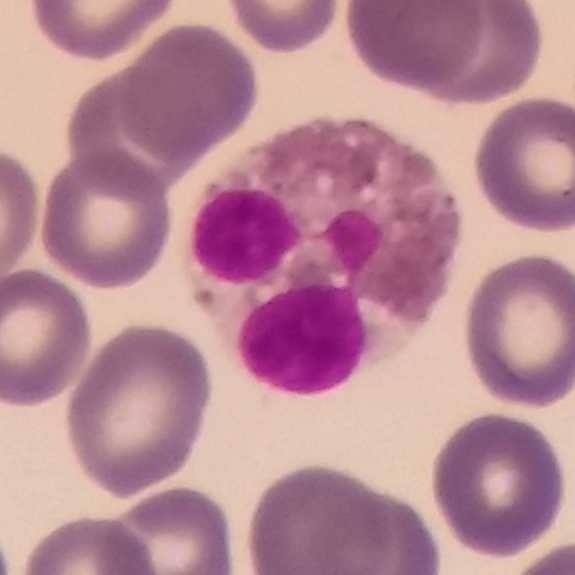

Cell = eosinophilic granulocyte.

Image: Stained with Giemsa; 575×575; peripheral blood smear.